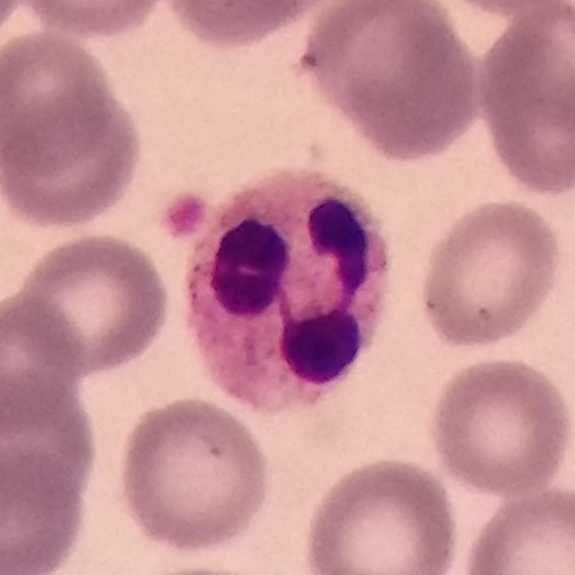 Q: Which type of white blood cell is this?
A: A neutrophilic granulocyte.